Peripheral blood film · Giemsa-stained · cropped to one leukocyte — 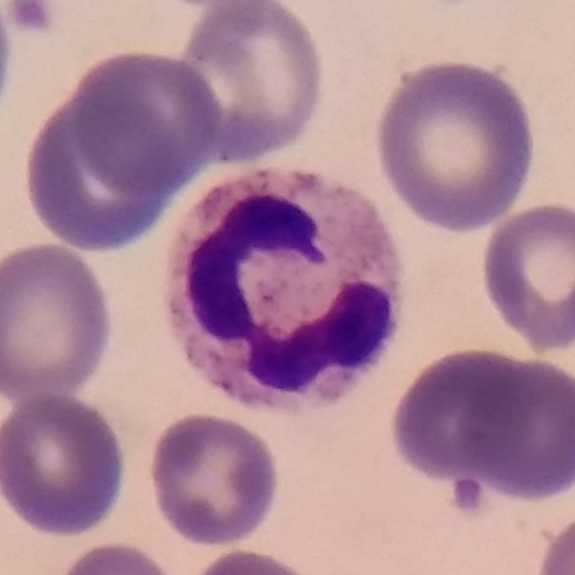
Morphological class = neutrophilic granulocyte.